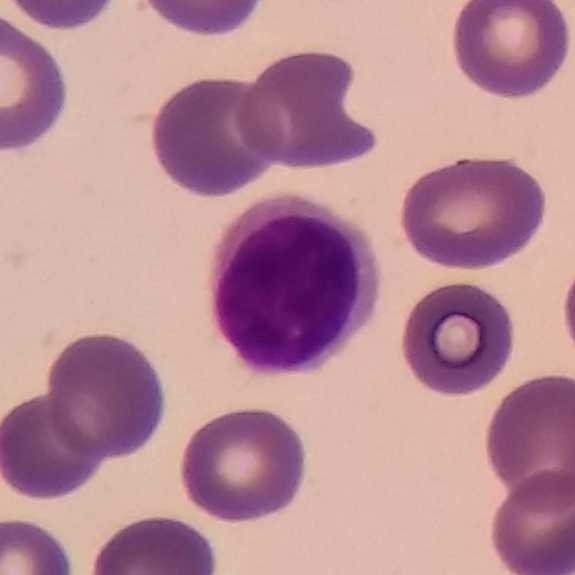
Morphological class — lymphocyte. Acquisition: Peripheral blood film.